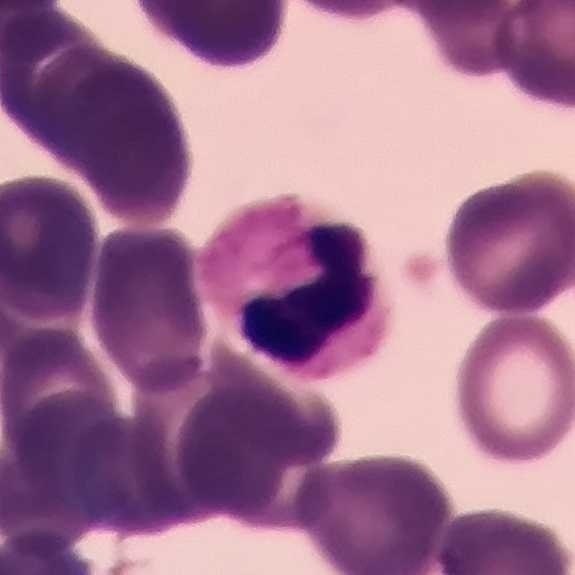

{"cell_type": "neutrophilic granulocyte", "lineage": "myeloid"} Image: Peripheral blood smear.